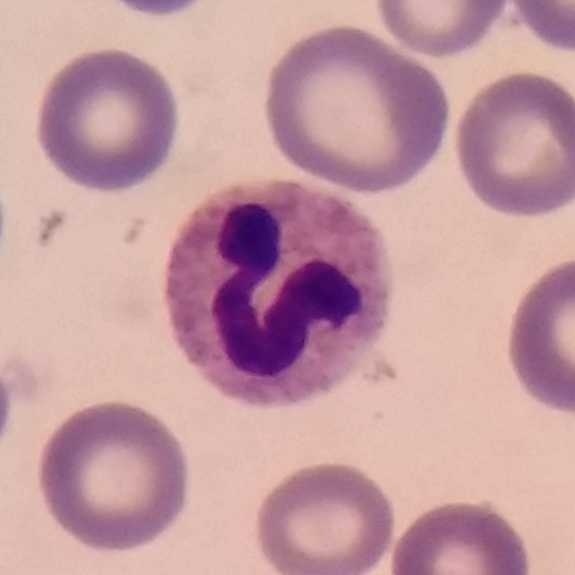

Showing a neutrophilic granulocyte.
Peripheral blood film.